Peripheral blood smear: 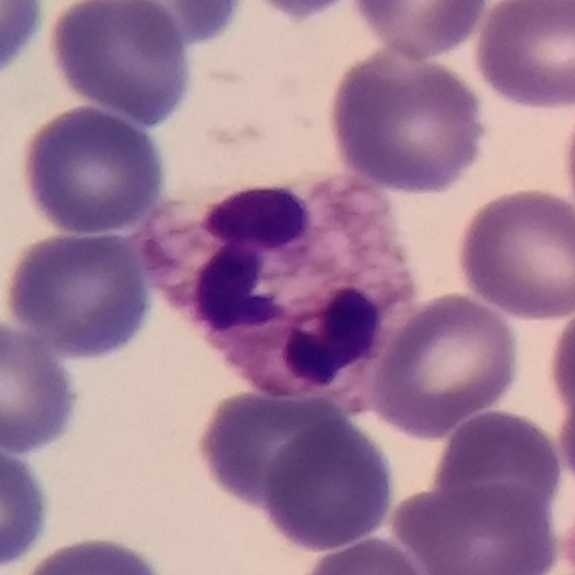 {"cell_type": "neutrophil granulocyte", "lineage": "myeloid"}